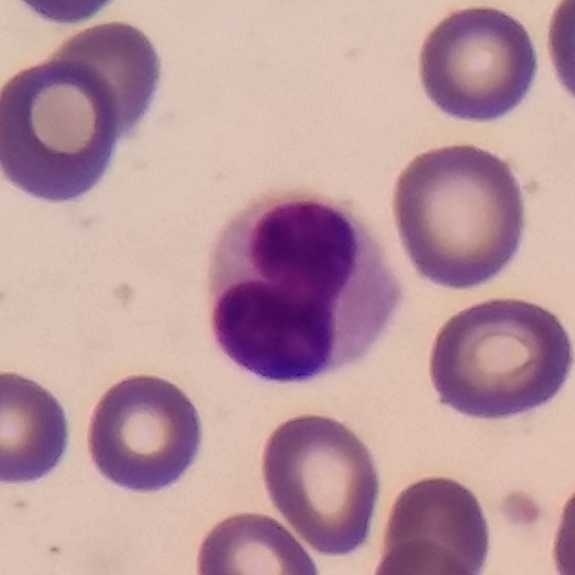The white blood cell in this image is a lymphocyte.

Acquisition: Imaged at 100×; peripheral blood film.